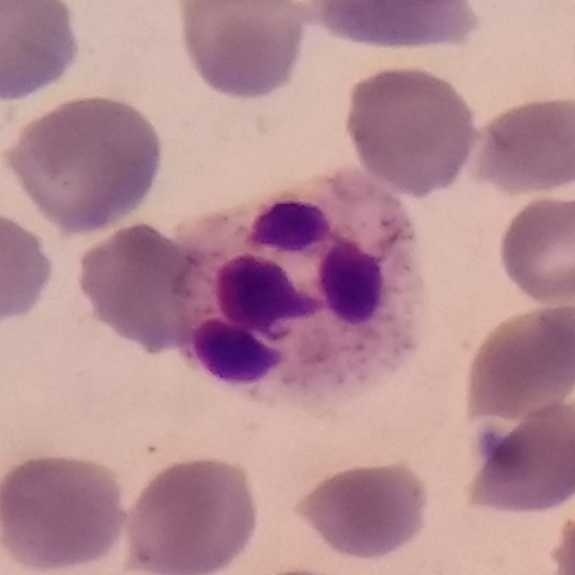

Morphology → neutrophil.

Image: Peripheral blood smear · single-cell field · Giemsa-stained.